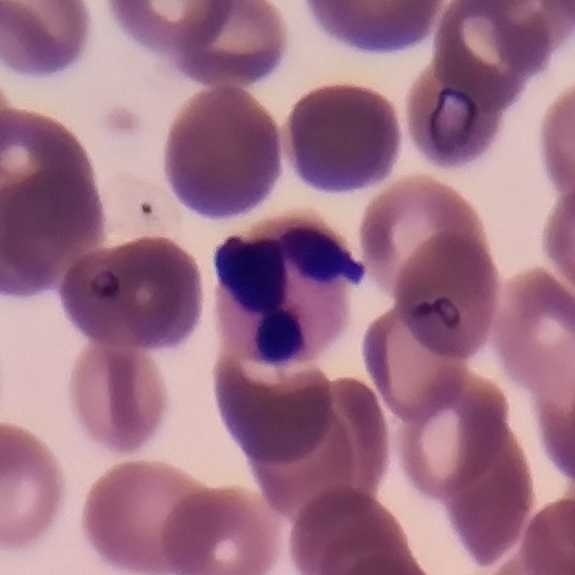Showing a neutrophil.
Context: Peripheral blood smear.